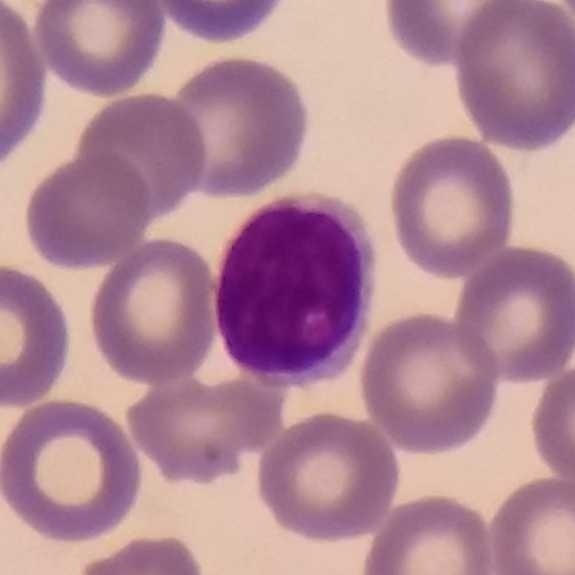 Image: Peripheral blood smear. Photographed through a light microscope with a smartphone camera. Q: What is shown here?
A: Lymphocyte.